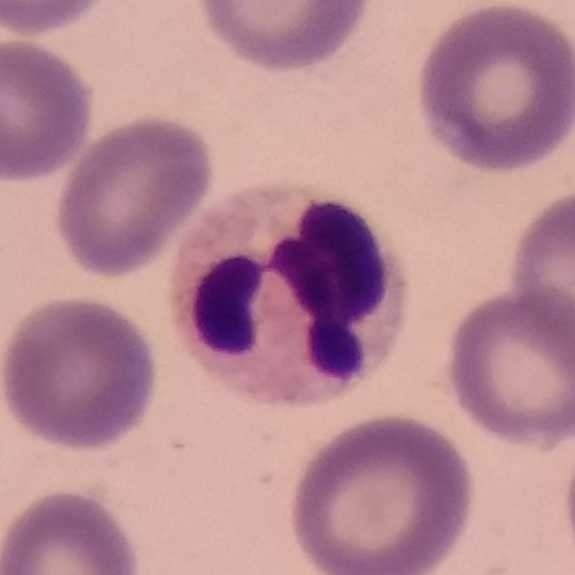
This is a neutrophil granulocyte.
Image: Single-cell field · peripheral blood film.